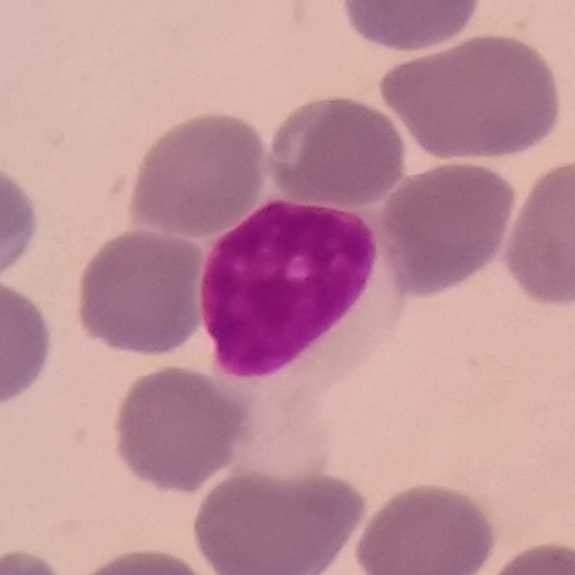Preparation: Stained with Giemsa; peripheral blood film.
Q: What is this?
A: It is a lymphocyte.